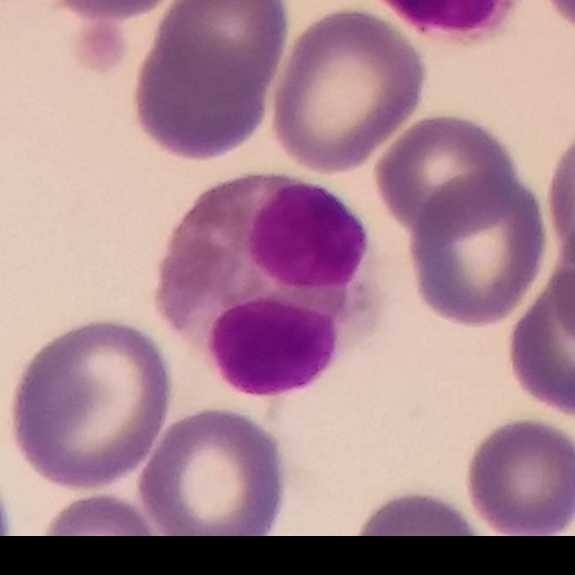
Morphology consistent with an eosinophil. Acquisition: Peripheral blood smear.